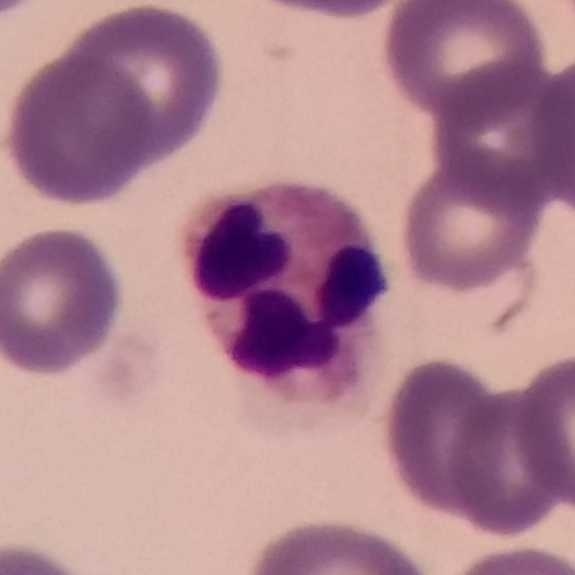
White blood cell type: neutrophilic granulocyte. Image: Peripheral blood film.